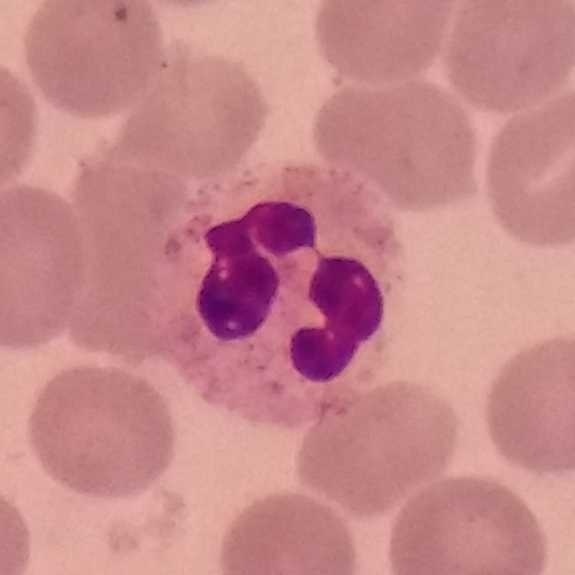 575×575 px; peripheral blood film. Q: What is shown here?
A: This is a neutrophil.